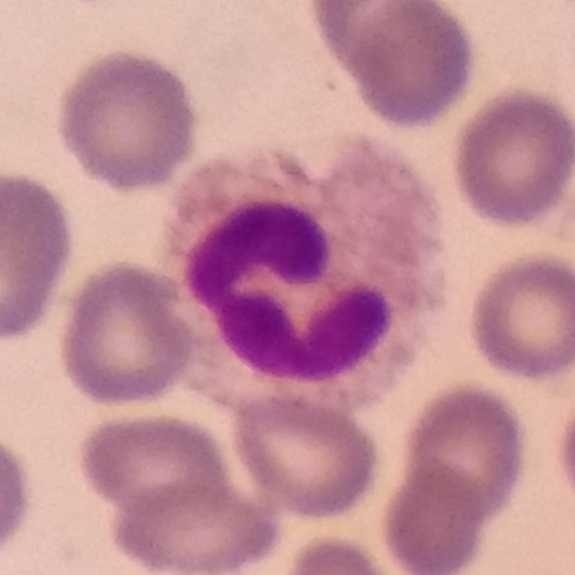 Morphology — neutrophilic granulocyte.
Single-cell field; peripheral blood film.